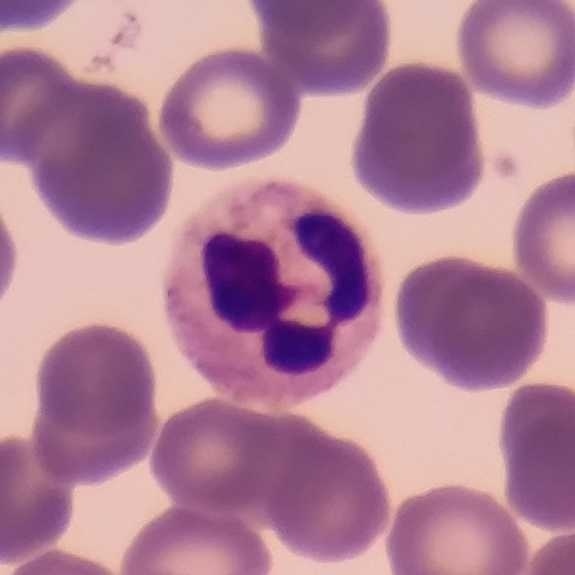
Specimen: peripheral blood smear.
Classification: neutrophil granulocyte.
Lineage: myeloid.